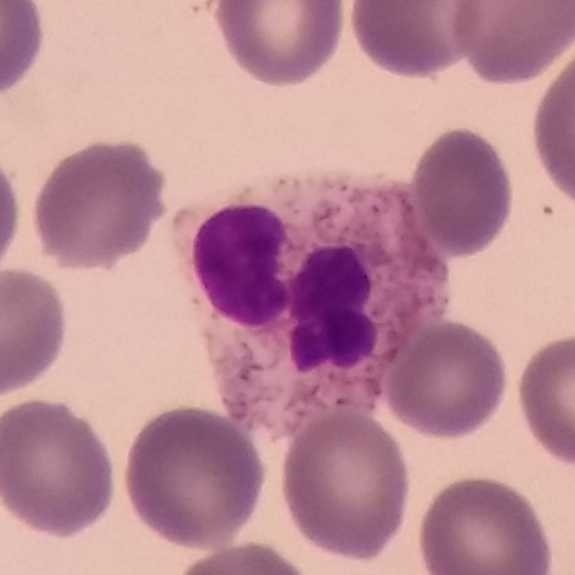
Morphology — neutrophil granulocyte.